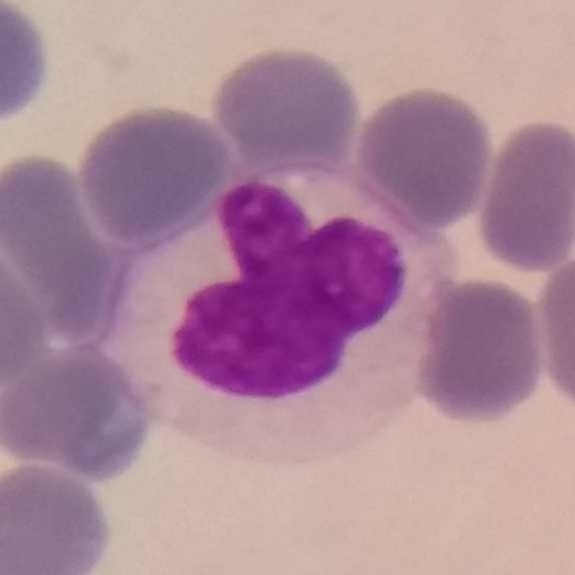

Cell: monocyte.
Peripheral blood smear.